Peripheral blood film · single white blood cell cropped from the smear photograph
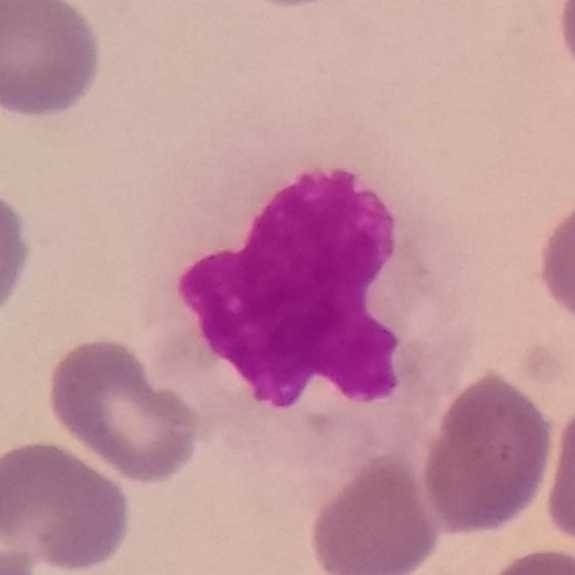
A monocyte.